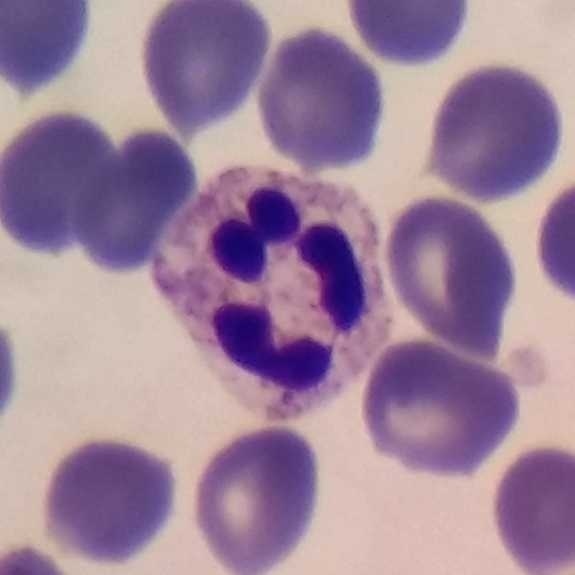 The white blood cell in this image is a neutrophilic granulocyte.

Image: Peripheral blood smear.